Peripheral blood film.
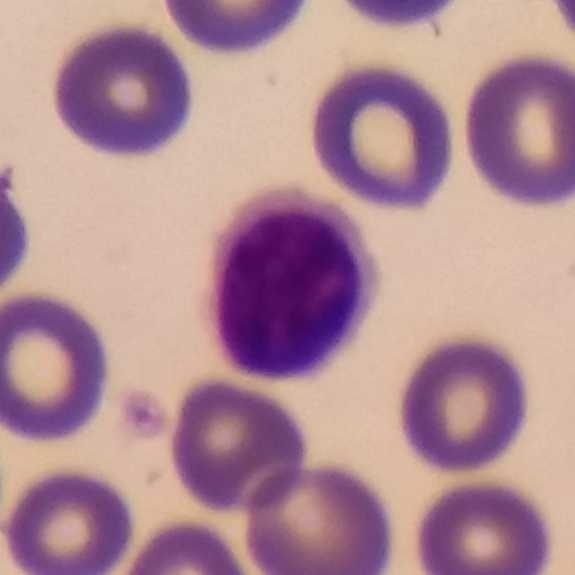

Q: Identify the cell.
A: A lymphocyte.